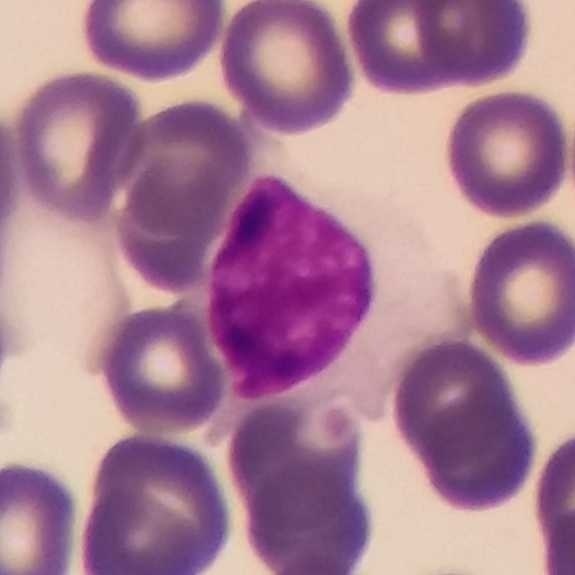Specimen: peripheral blood smear.
Classification: lymphocyte.